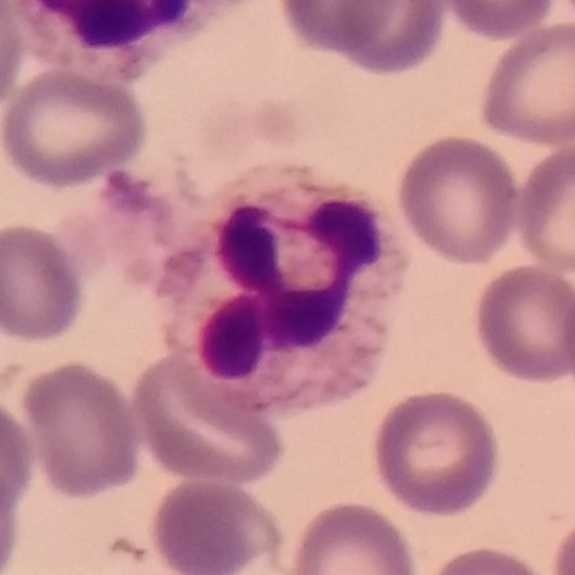
Specimen: peripheral blood smear.
White blood cell type: neutrophil granulocyte.
Lineage: myeloid.
Magnification 100×.